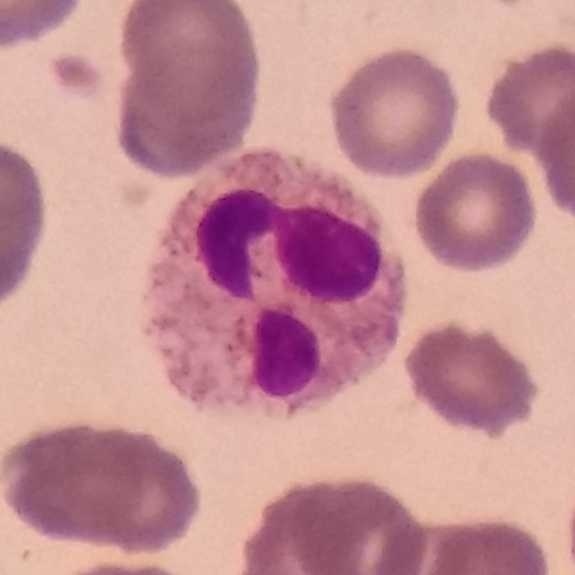
Image: Peripheral blood film. Showing a neutrophil.